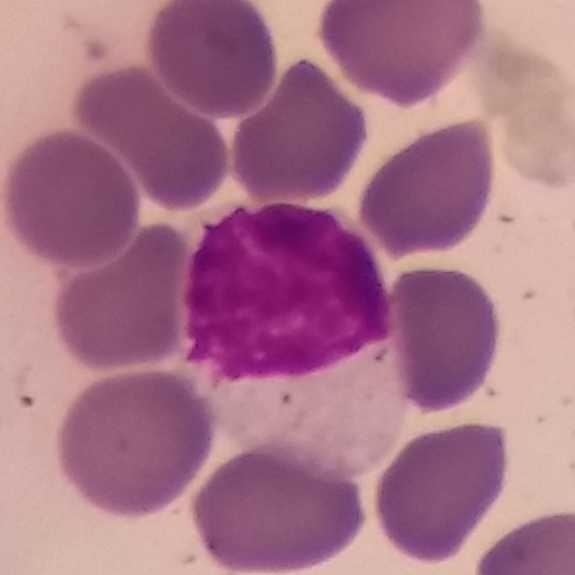Acquisition: Smartphone camera mounted on the microscope eyepiece; peripheral blood smear.

Q: Classify this leukocyte.
A: A lymphocyte.